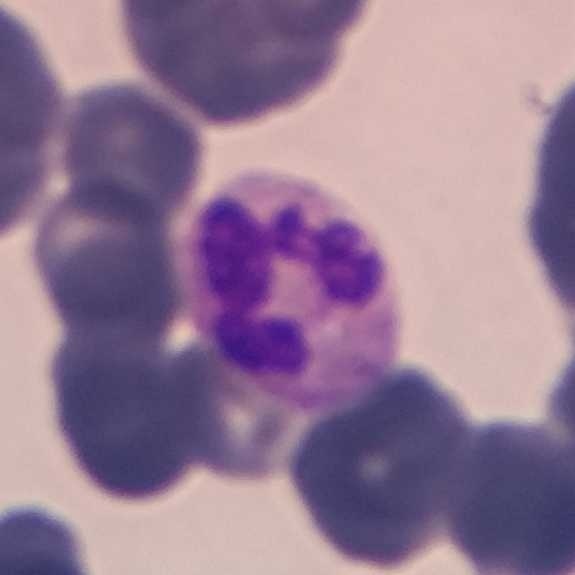

Specimen: peripheral blood film.
White blood cell type: neutrophilic granulocyte.
Lineage: myeloid.
Preparation: Cropped to one leukocyte. 575×575.